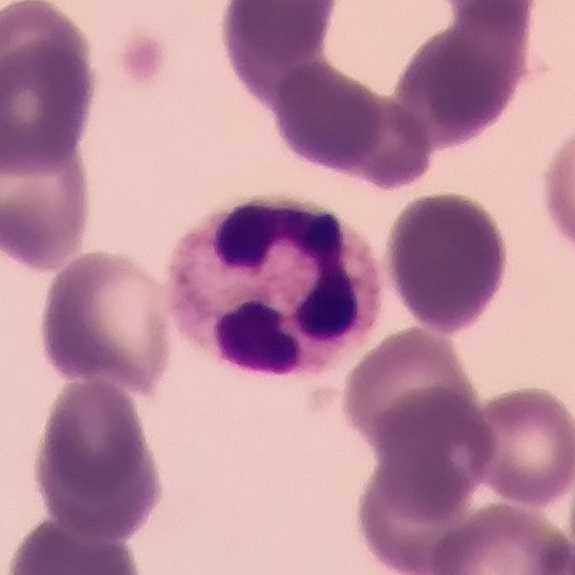 Q: Identify the cell.
A: Neutrophilic granulocyte.